Peripheral blood film.
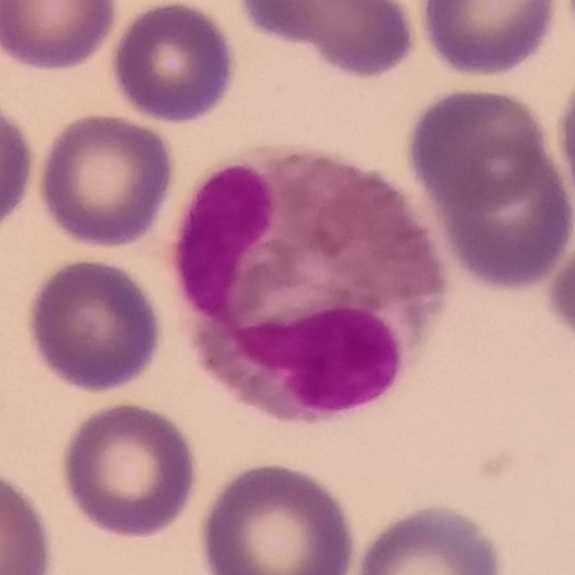Specimen: peripheral blood smear.
Classification: eosinophil.
Lineage: myeloid.